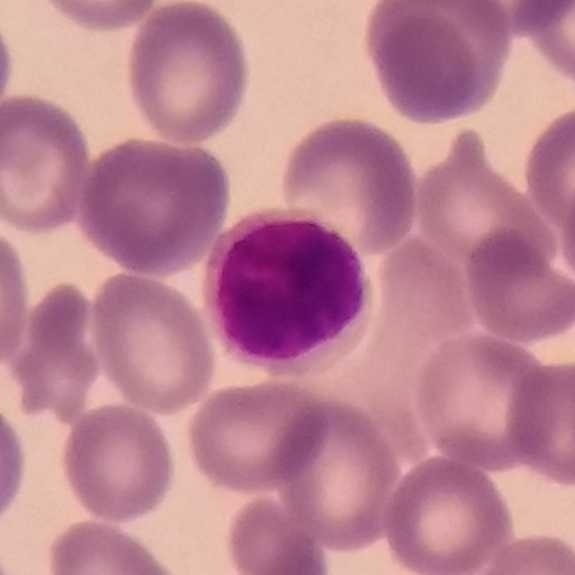

Morphological class — lymphocyte.
Context: 575×575 px · peripheral blood smear · Giemsa-stained.